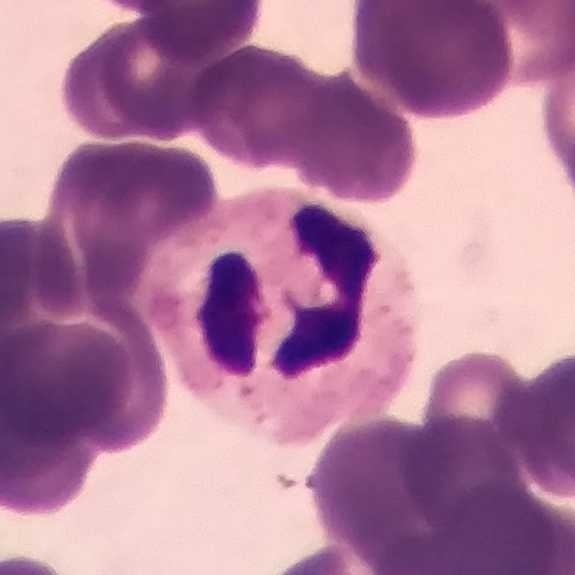Specimen: peripheral blood smear.
Cell type: neutrophil.
Lineage: myeloid. Acquisition: Imaged at 100×.